Peripheral blood film: 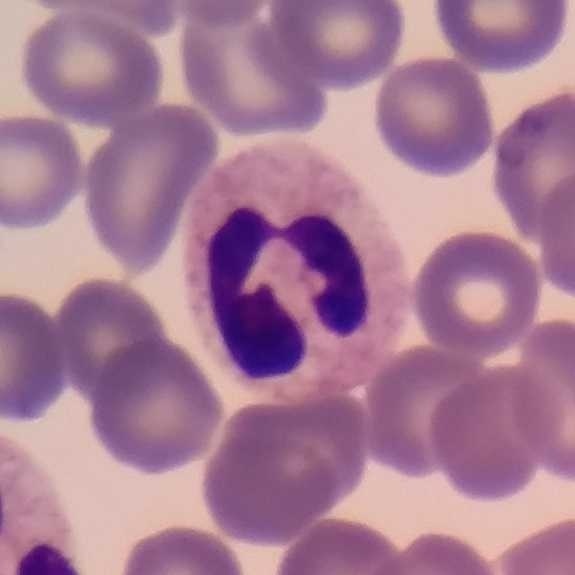Neutrophilic granulocyte.